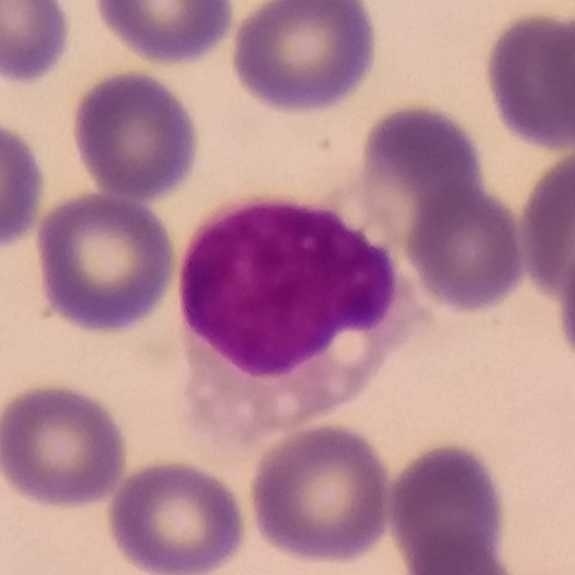
Specimen: peripheral blood smear.
Cell: lymphocyte.
Lineage: lymphoid.